Peripheral blood smear — 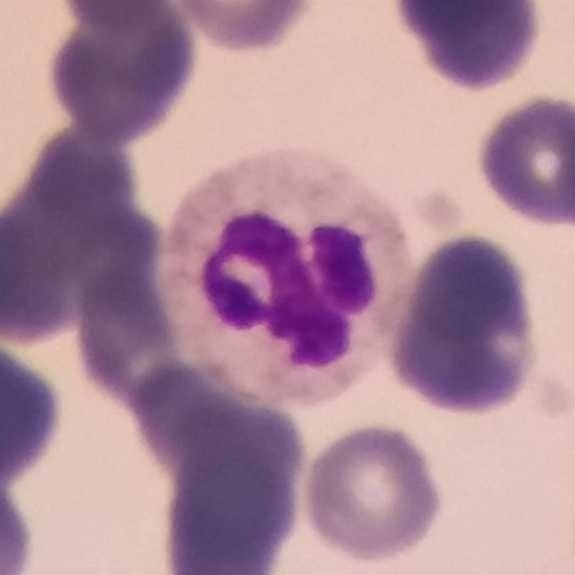
Identified as a neutrophilic granulocyte.